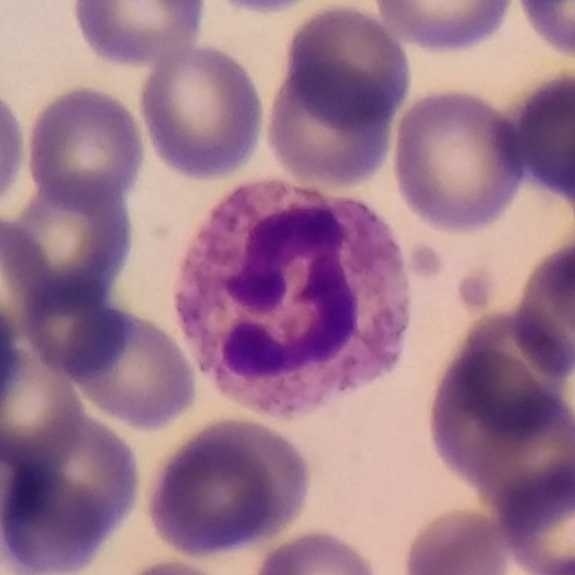
Q: What type of cell is this?
A: A neutrophil granulocyte.

Context: Smartphone camera mounted on the microscope eyepiece. Peripheral blood film.